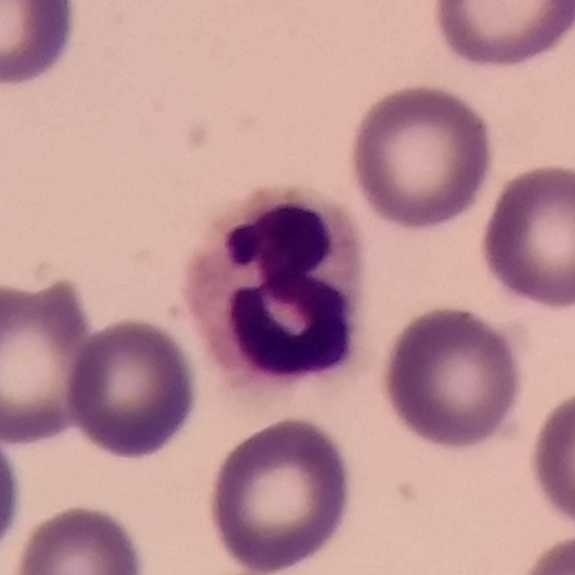
Single cell identified as a neutrophil granulocyte.

Acquisition: Giemsa-stained · peripheral blood smear.